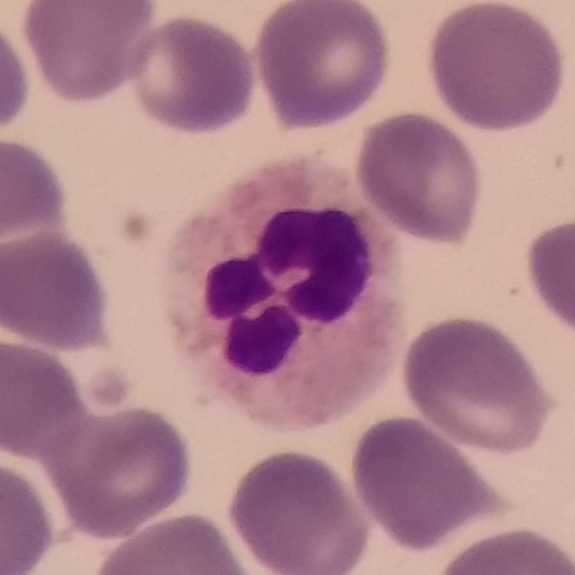
Acquisition: Peripheral blood smear.
Classification — neutrophil granulocyte.